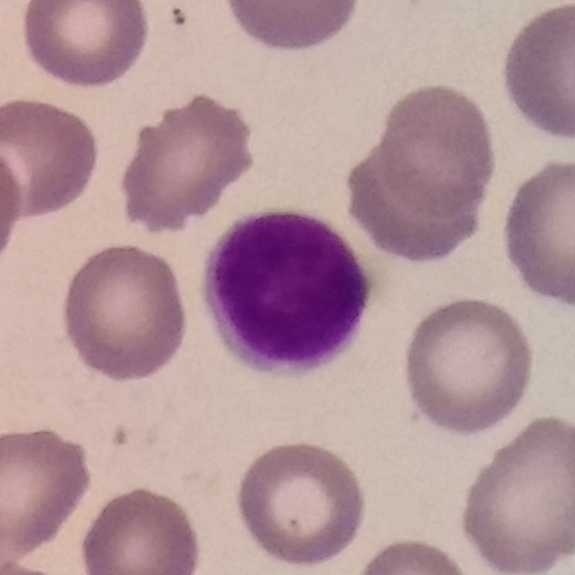Preparation: Peripheral blood film · Giemsa stain · 100× magnification. Morphology → lymphocyte.